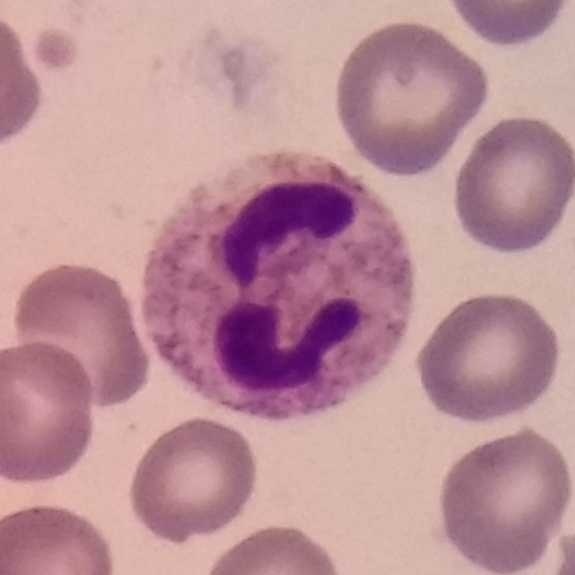 The cell type is neutrophil.